Single-cell field. 575 by 575 pixels. Peripheral blood film: 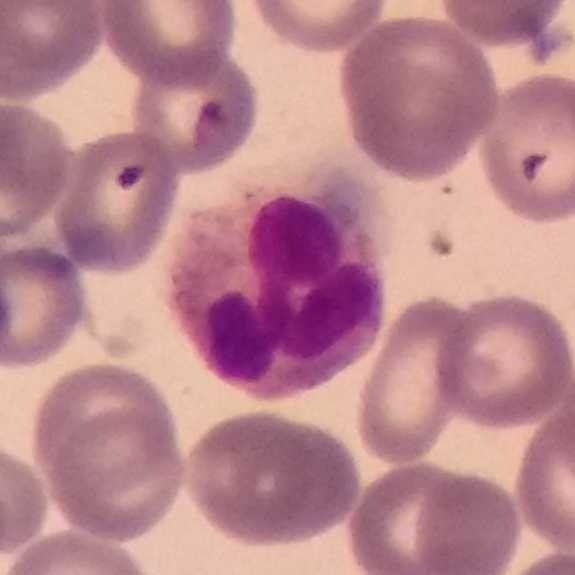

Cell: neutrophil.